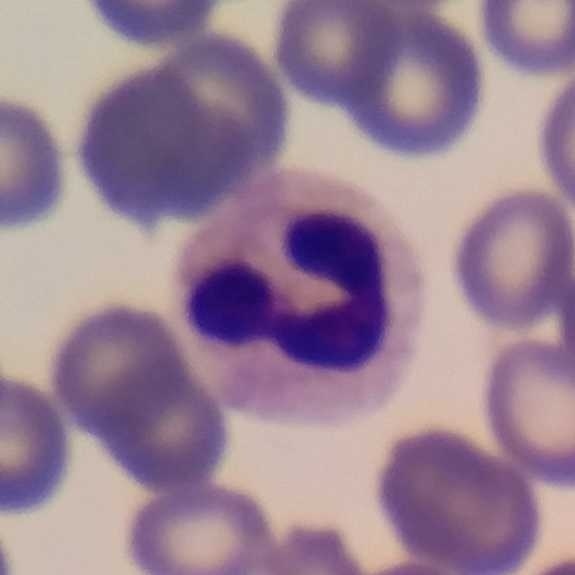

Acquisition: Peripheral blood film · smartphone photomicrograph.
Impression → neutrophil.